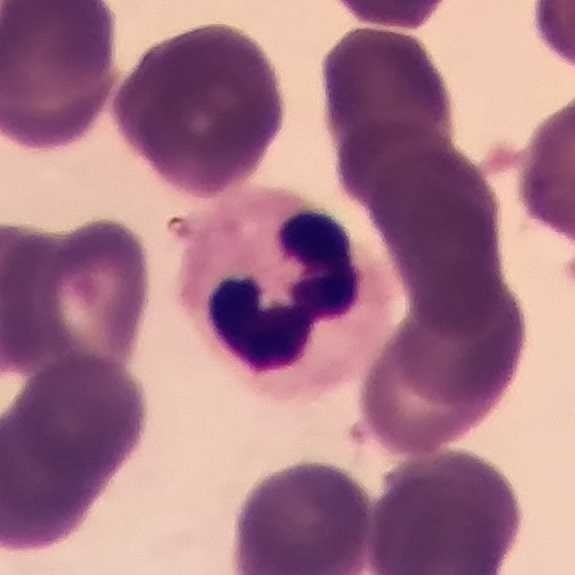 Cell: neutrophil.
Peripheral blood film · 100× magnification.